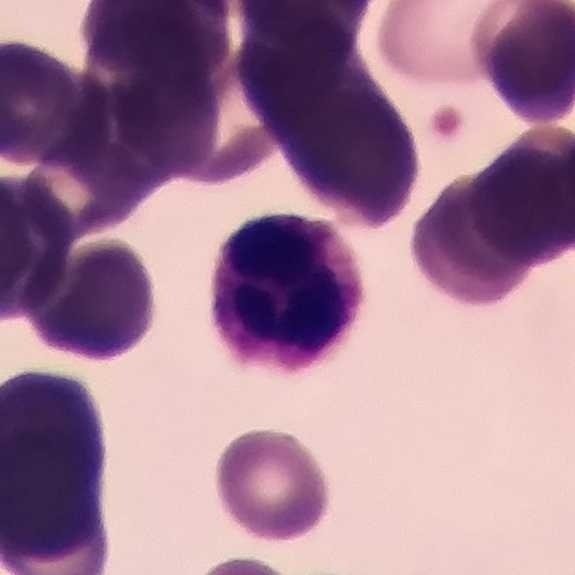

Single cell identified as a neutrophilic granulocyte.